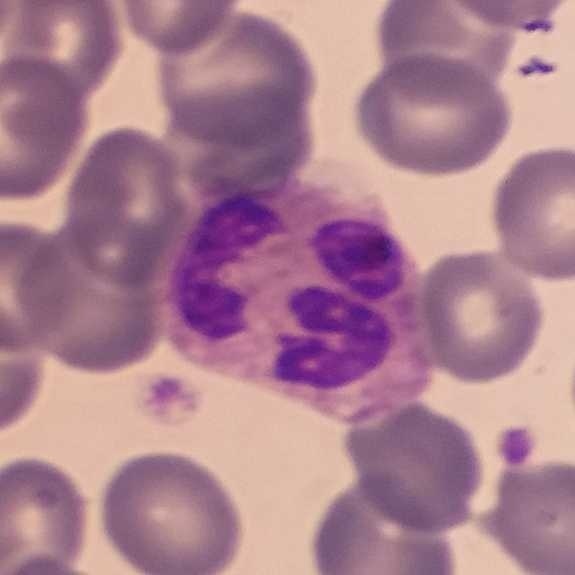
Q: Which cell type is shown here?
A: This is a neutrophil. Acquisition: Smartphone photomicrograph. Peripheral blood smear. 100× magnification.